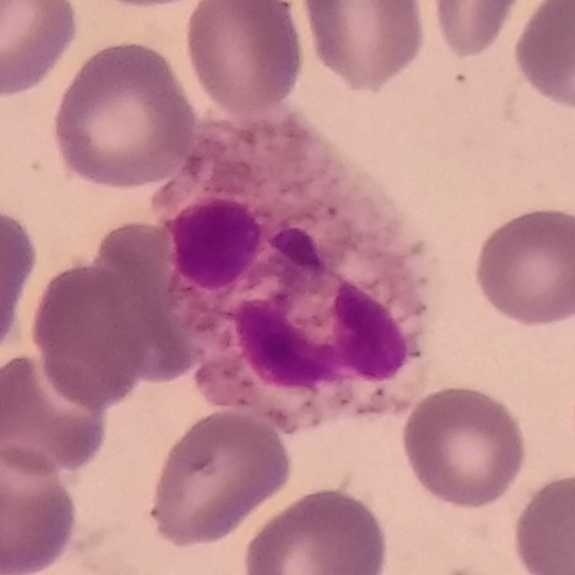{"cell_type": "neutrophil", "lineage": "myeloid"}